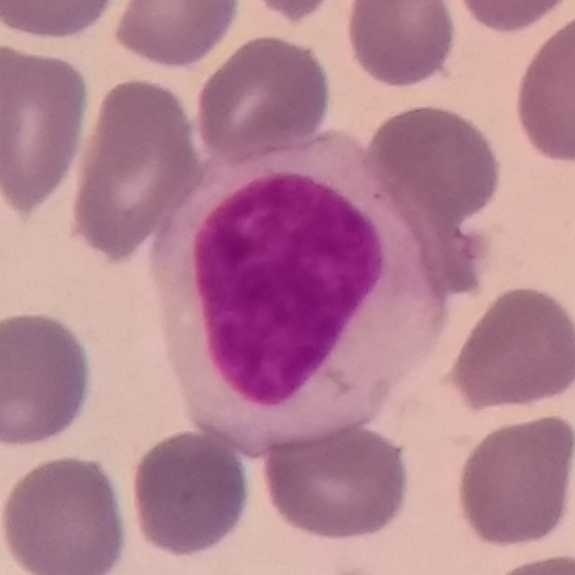

Photographed through a light microscope with a smartphone camera · peripheral blood smear. Q: What cell is this?
A: It is a monocyte.